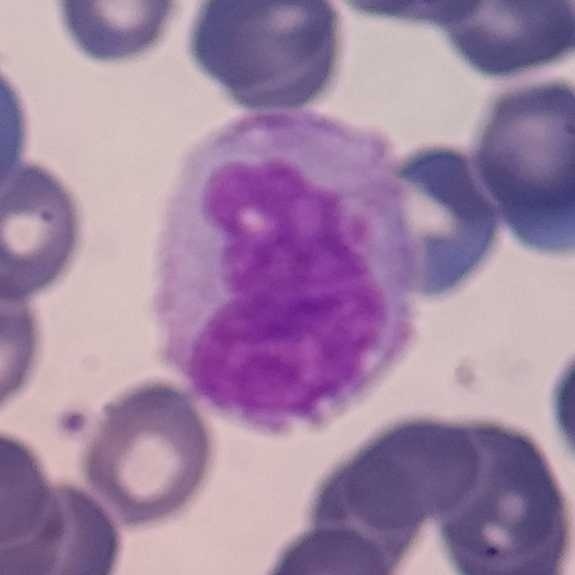
Image: Peripheral blood smear. Showing a monocyte.